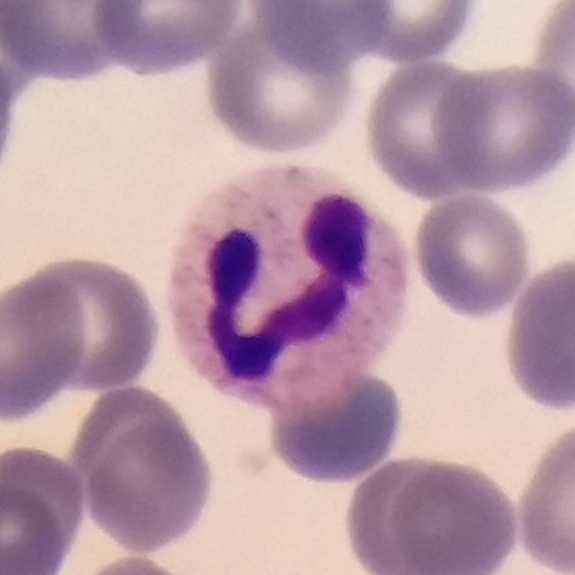Preparation: Peripheral blood film.
Q: Which type of white blood cell is this?
A: It is a neutrophil.